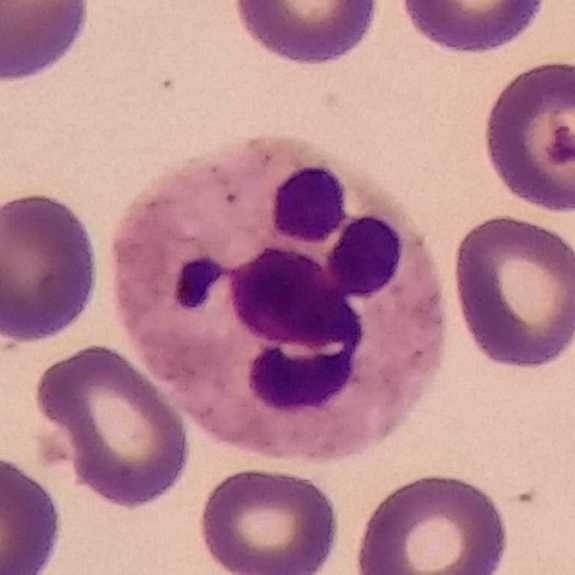 The cell type is neutrophilic granulocyte.